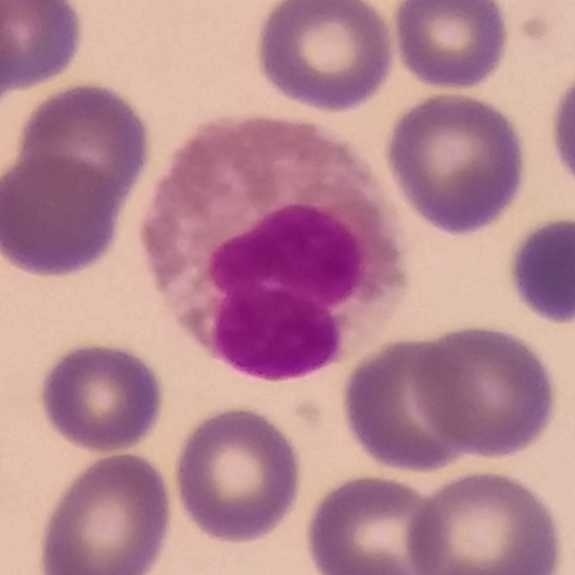
An eosinophilic granulocyte.